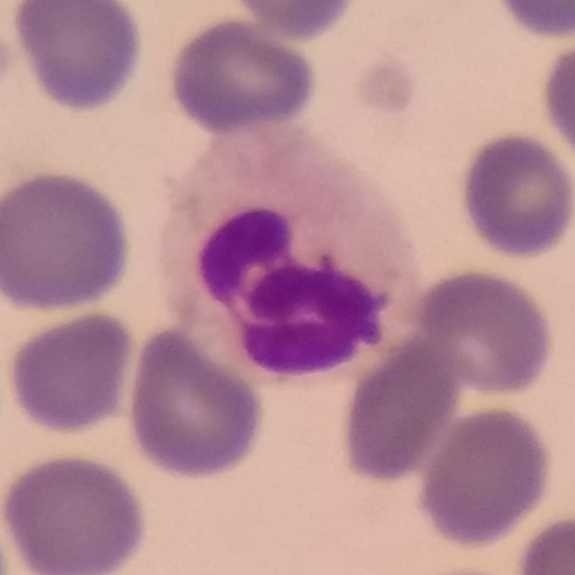
Morphology — neutrophil.
Image: Peripheral blood smear.